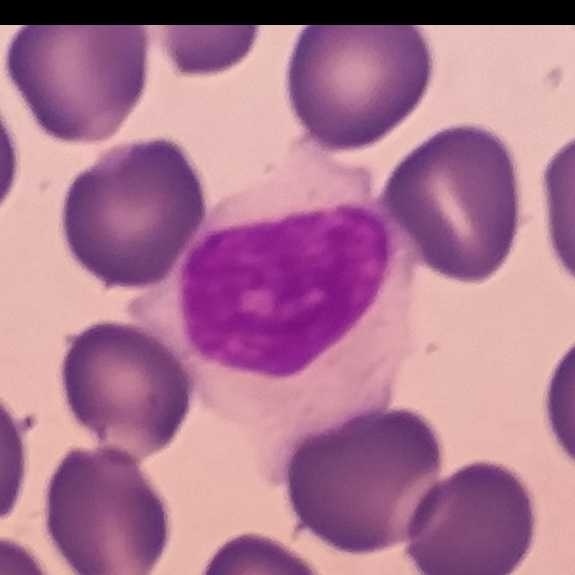

Morphology → lymphocyte.

Peripheral blood film.